Peripheral blood film
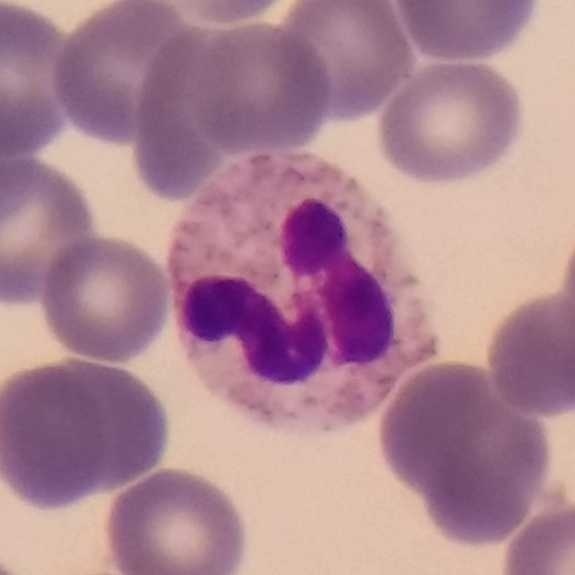
Q: What cell is this?
A: It is a neutrophilic granulocyte.